Peripheral blood film; Giemsa stain:
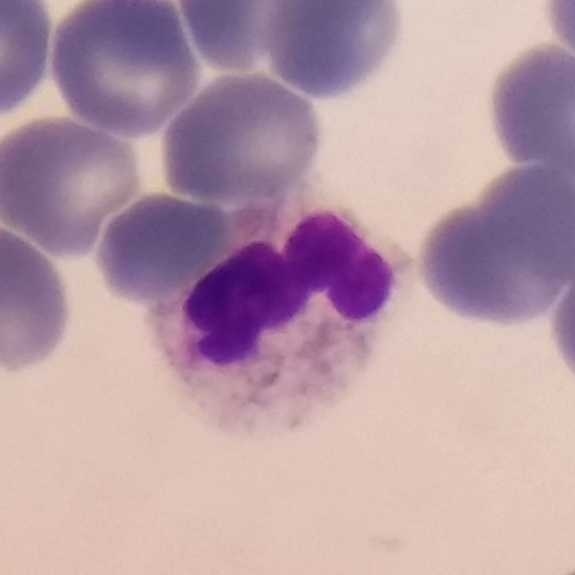 The cell type is neutrophil granulocyte.